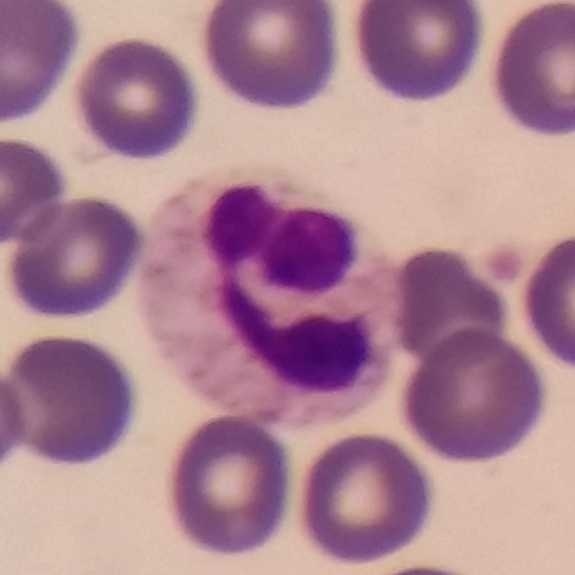{"cell_type": "neutrophil granulocyte", "lineage": "myeloid"}

Peripheral blood film.